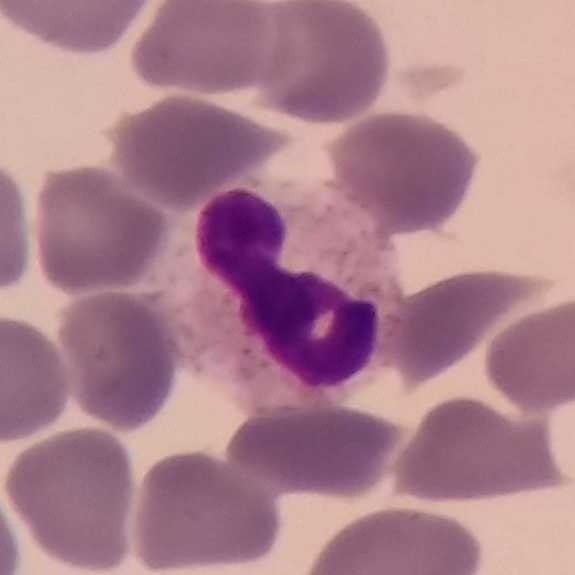Acquisition: Giemsa stain. Peripheral blood smear.

Q: What cell is this?
A: Neutrophil.